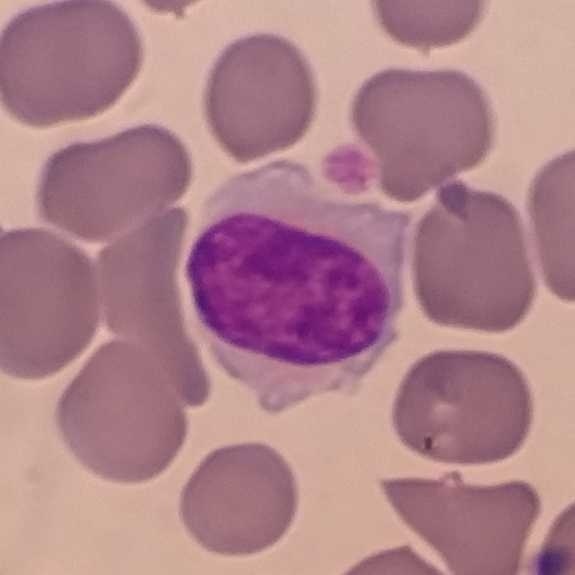

Q: Which cell type is shown here?
A: A lymphocyte.